Peripheral blood film:
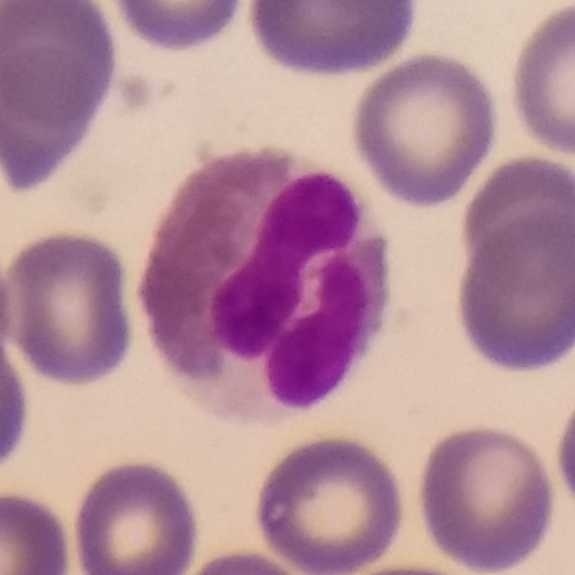
Classification — eosinophil.